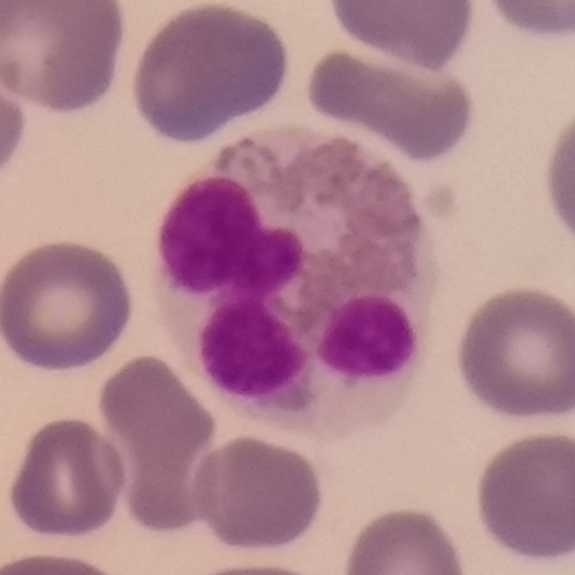
Image: Imaged at 100× · peripheral blood film.

Eosinophilic granulocyte.